Peripheral blood film. 575 by 575 pixels — 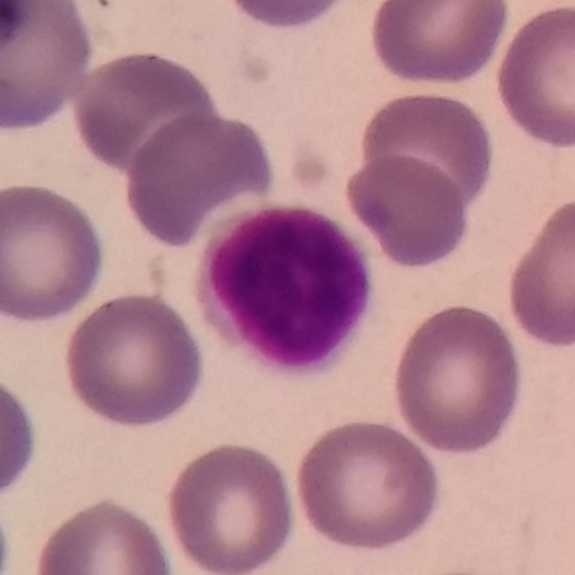Single cell identified as a lymphocyte.